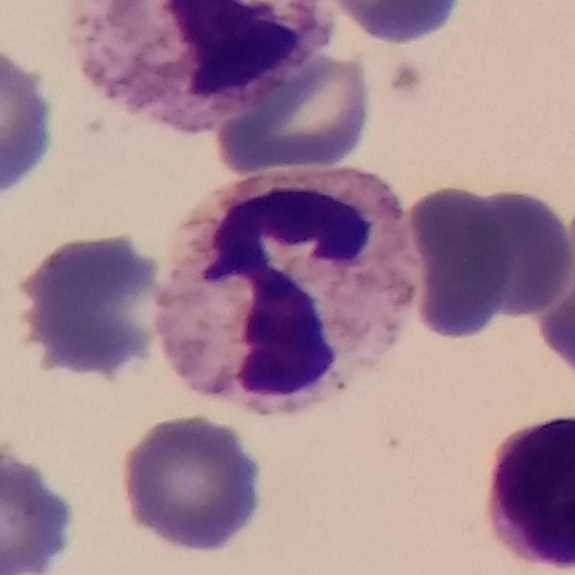Specimen: peripheral blood smear.
White blood cell type: neutrophil.
Lineage: myeloid.